Peripheral blood film: 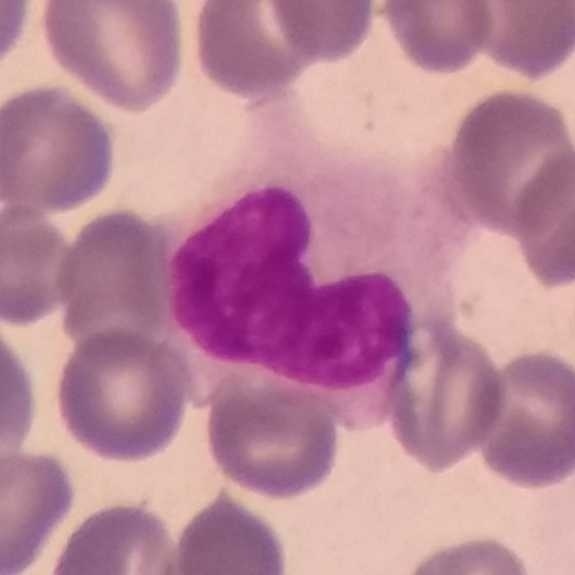
The cell shown is a monocyte.